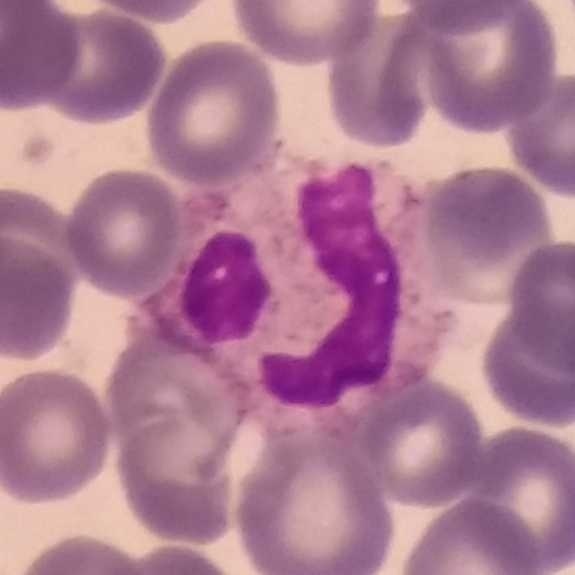Specimen: peripheral blood film.
Cell: neutrophilic granulocyte.
Lineage: myeloid. Context: Giemsa stain.